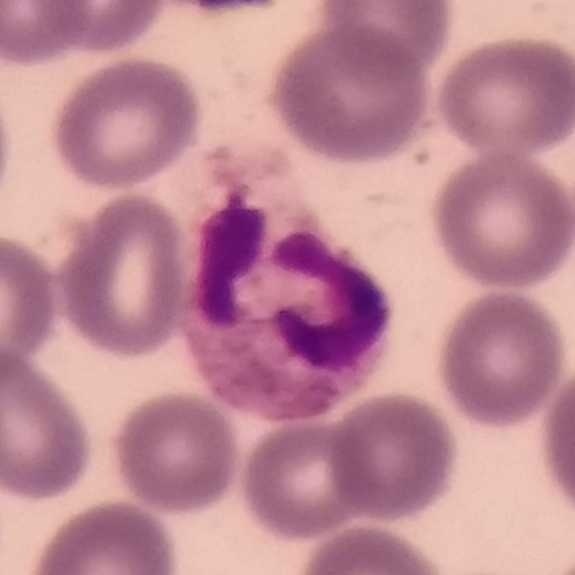
Q: Which cell type is shown here?
A: Neutrophil.
Magnification 100× · stained with Giemsa · peripheral blood smear.